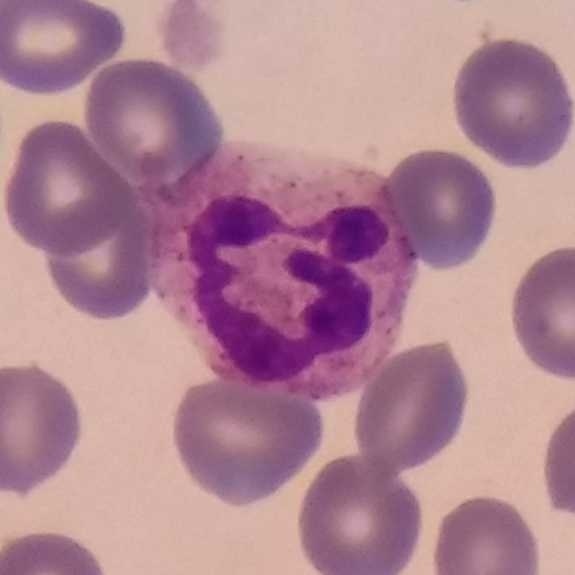
Image size 575×575. Peripheral blood film.
Morphology consistent with a neutrophil.